Peripheral blood smear.
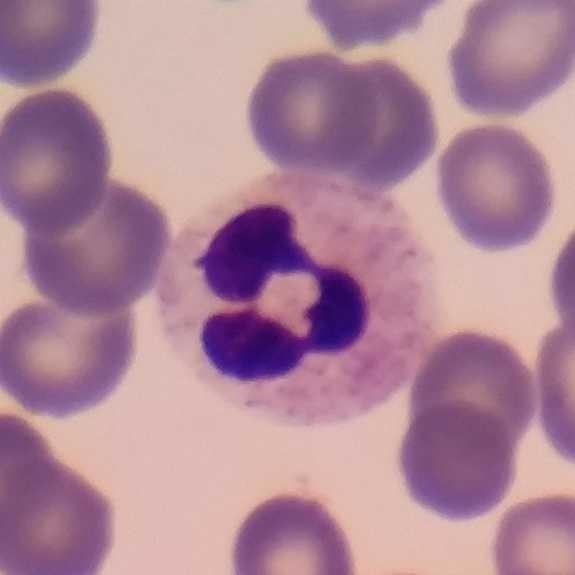
Showing a neutrophil granulocyte.